Peripheral blood smear.
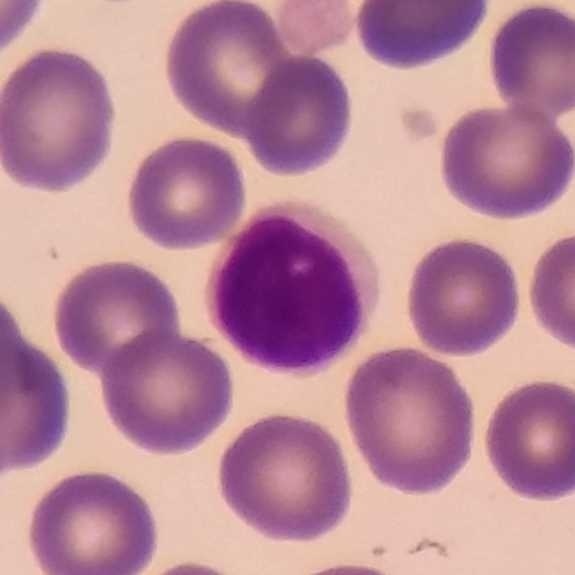Specimen: peripheral blood smear.
Cell: lymphocyte.